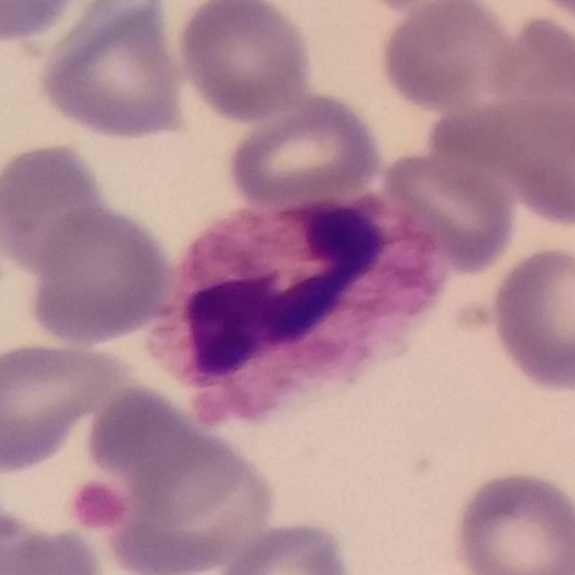

A neutrophilic granulocyte. Preparation: 575×575. Single white blood cell cropped from the smear photograph. Peripheral blood smear.